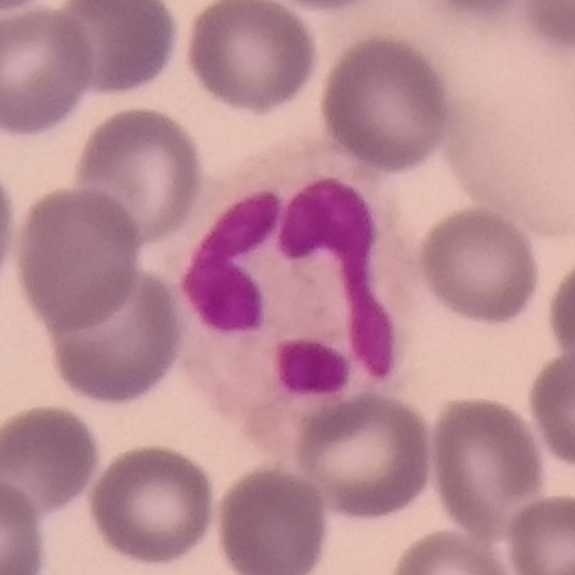 Q: Which cell type is shown here?
A: Neutrophilic granulocyte. Context: Peripheral blood film.